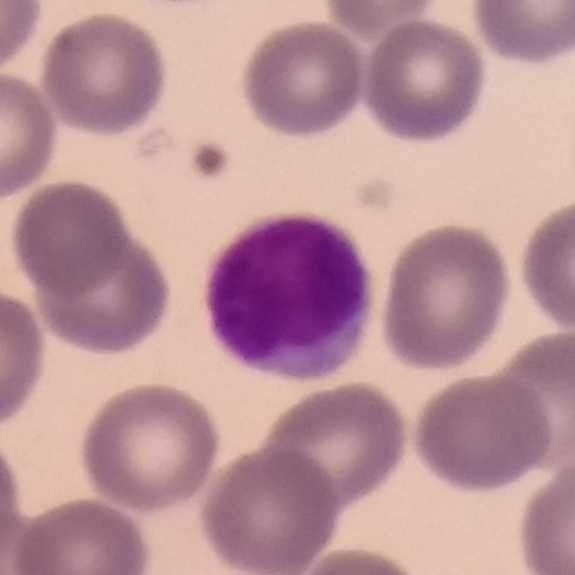

The white blood cell in this image is a lymphocyte.